Peripheral blood film — 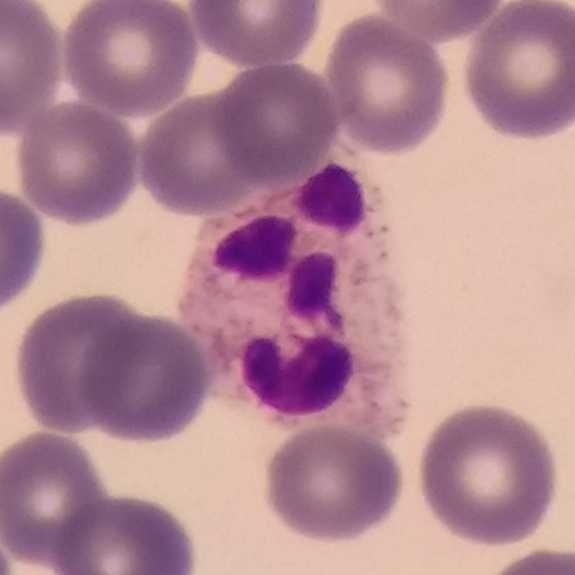
Single cell identified as a neutrophilic granulocyte.